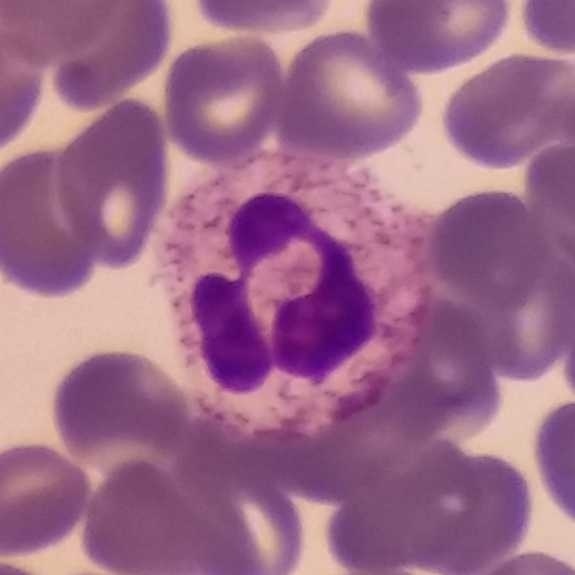 Context: Peripheral blood film.

{"cell_type": "neutrophil granulocyte"}